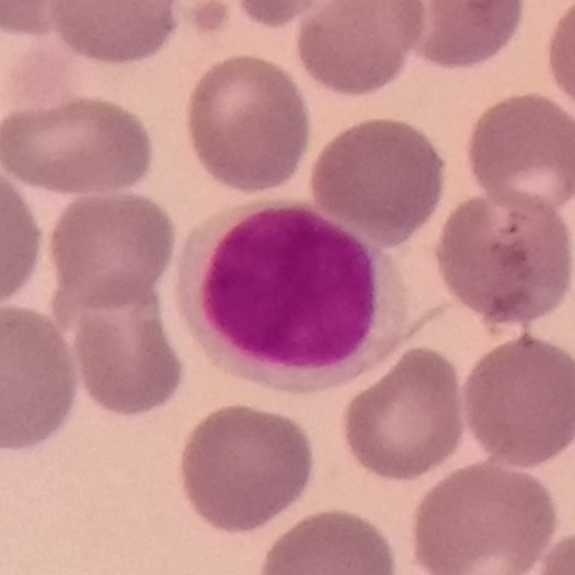Single cell identified as a lymphocyte. Image: Peripheral blood smear. Smartphone photomicrograph.